Peripheral blood smear.
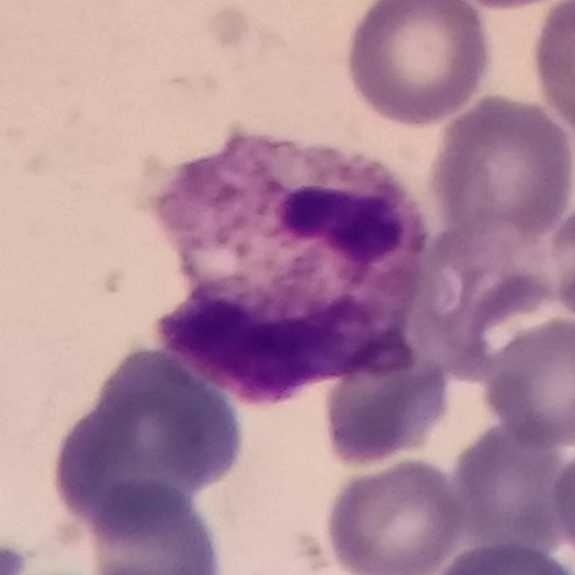 Classification = neutrophilic granulocyte.